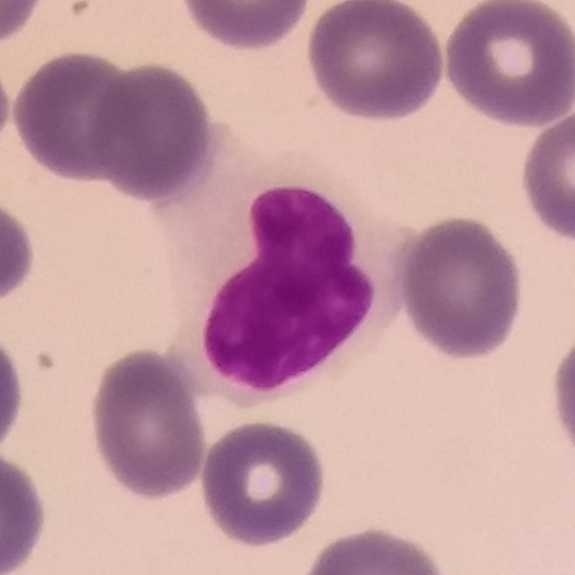Peripheral blood smear. The classification is lymphocyte.